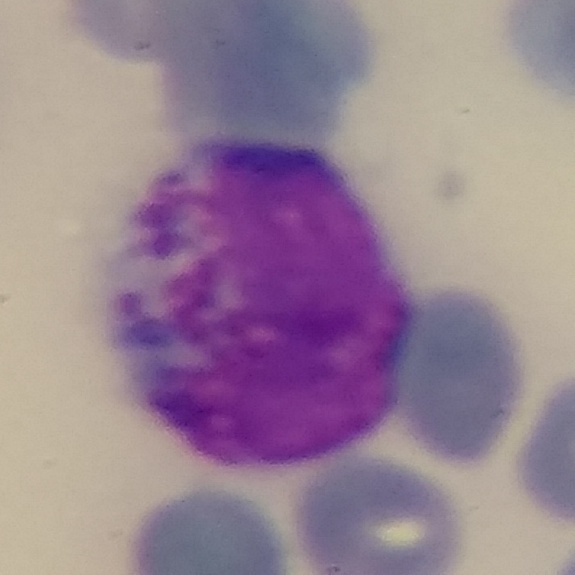The white blood cell in this image is a basophilic granulocyte.
575 by 575 pixels · peripheral blood smear · Giemsa-stained.